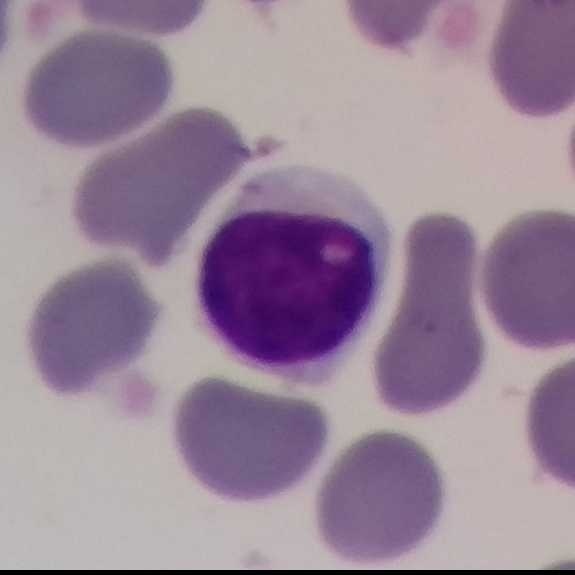

Q: What is this?
A: It is a lymphocyte.